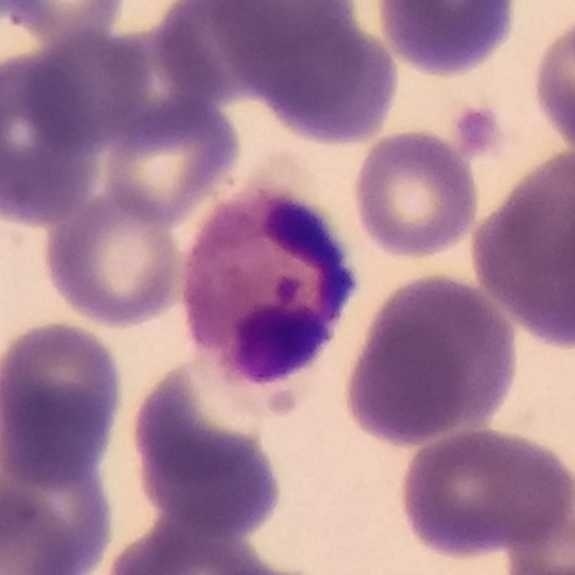
Morphological class: neutrophilic granulocyte.